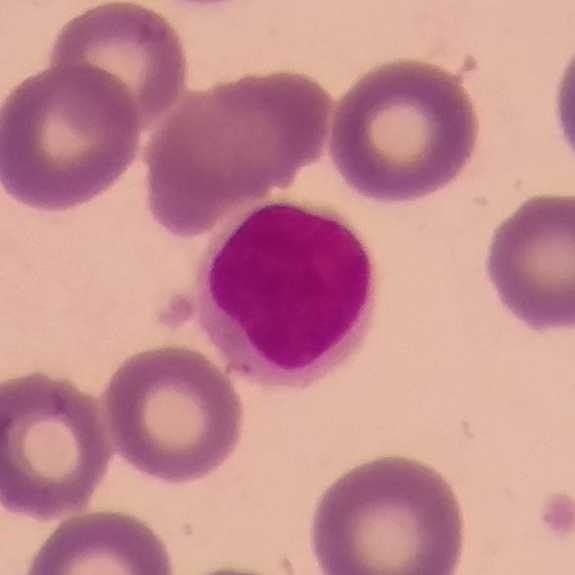Q: Which cell type is shown here?
A: Lymphocyte.
Peripheral blood smear.